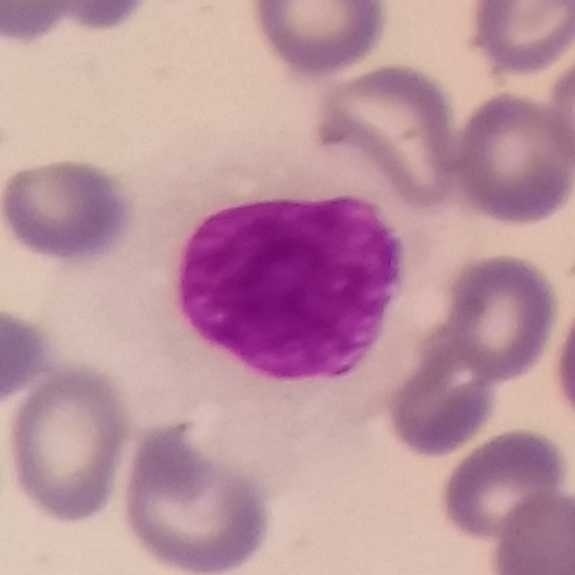

Context: Peripheral blood smear. Identified as a monocyte.